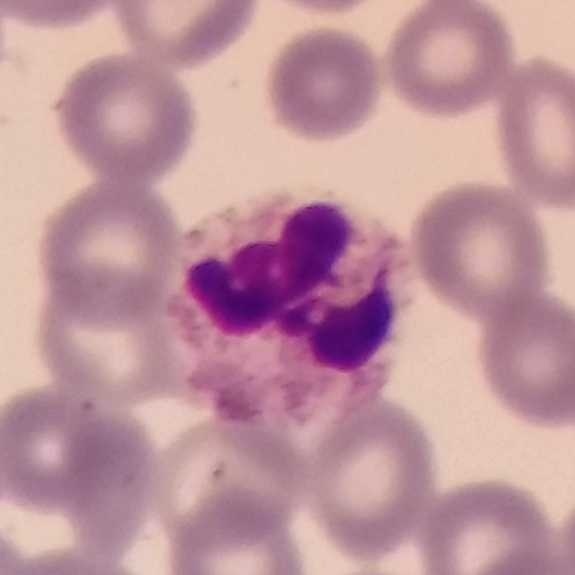Cell — neutrophil granulocyte.